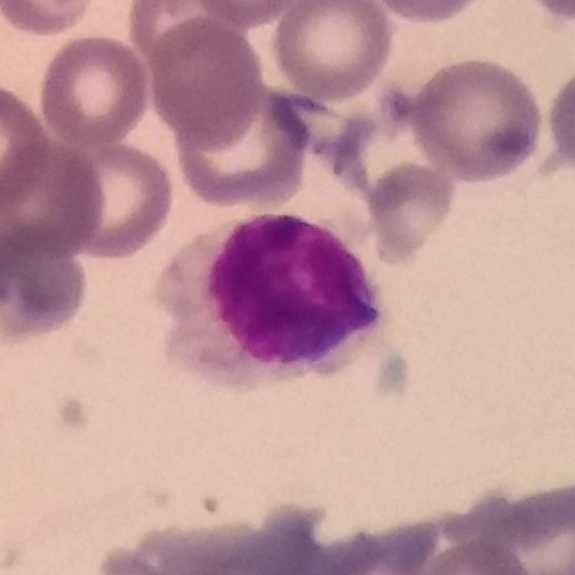 The cell is lymphocyte.